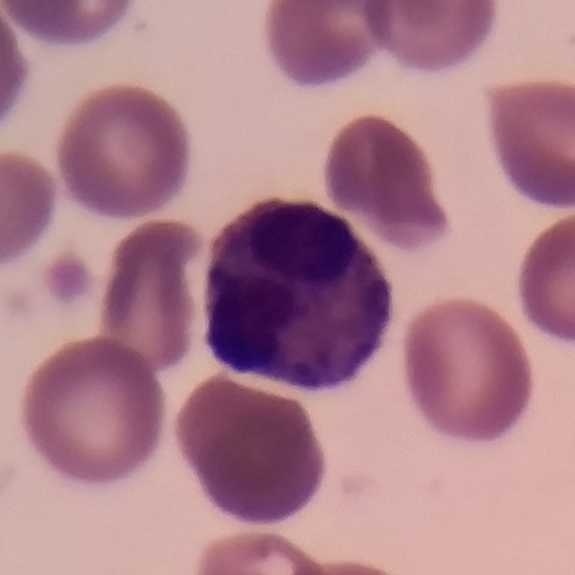 From a peripheral blood smear: an eosinophil.